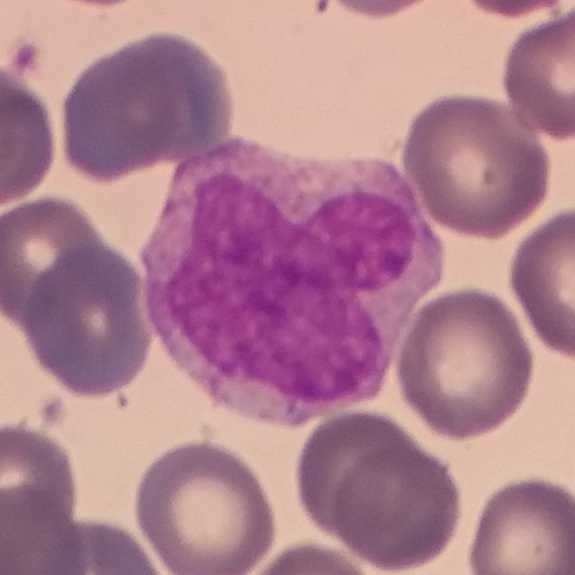Specimen: peripheral blood film.
Morphological class: monocyte.